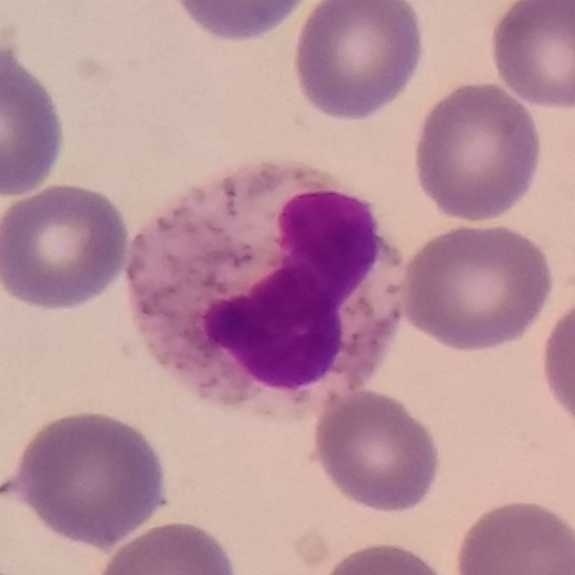
White blood cell type = neutrophilic granulocyte.

Peripheral blood smear.